Stained with Giemsa; imaged at 100×; peripheral blood smear — 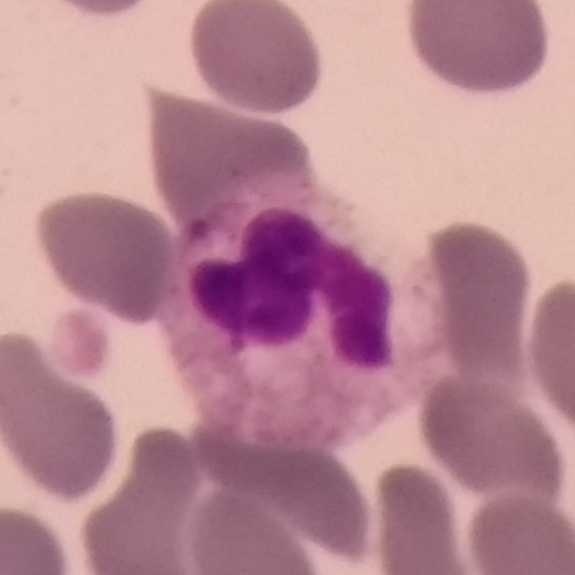 Neutrophilic granulocyte.